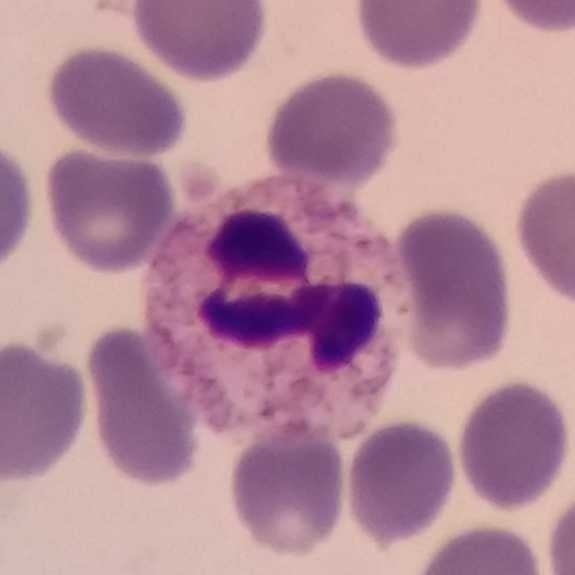Morphological class — neutrophilic granulocyte.